Peripheral blood film
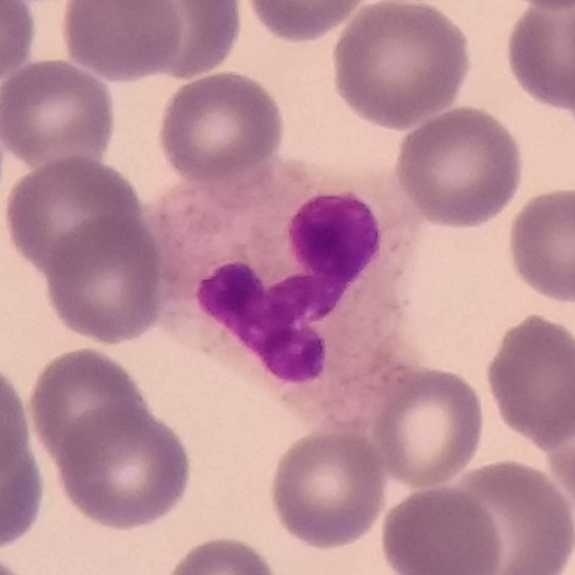
Cell: neutrophil granulocyte.